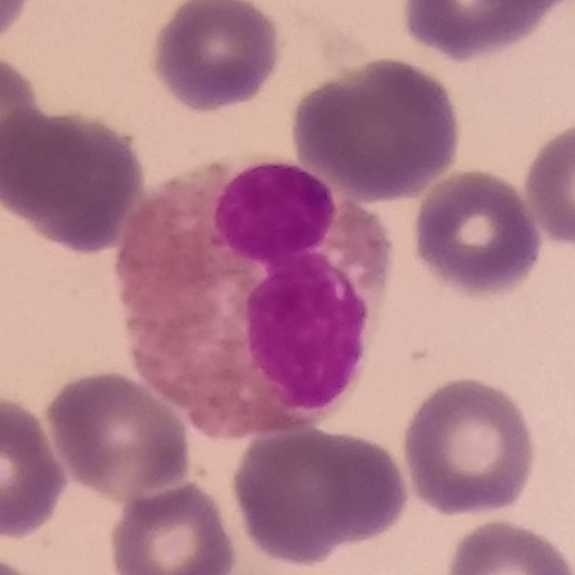
From a peripheral blood smear: an eosinophilic granulocyte.